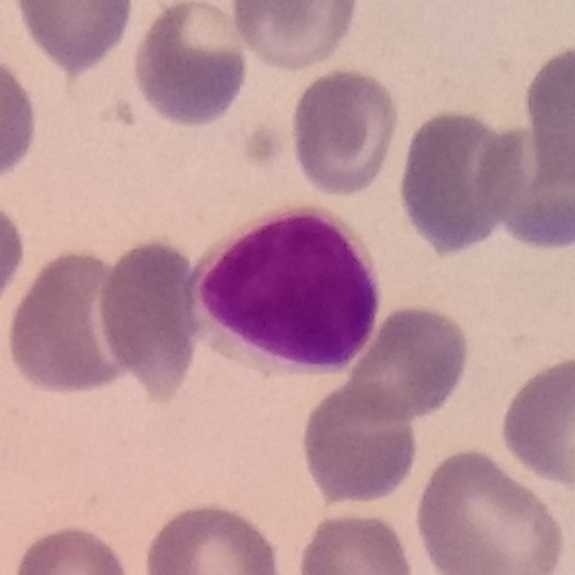
Peripheral blood smear. A lymphocyte.